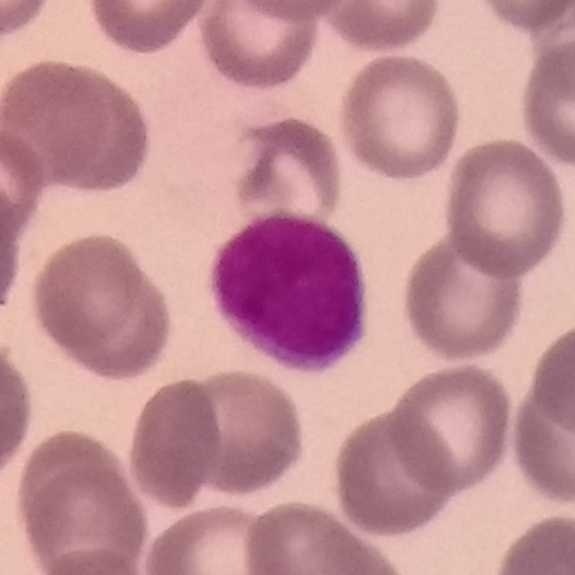
Specimen: peripheral blood film.
Classification: lymphocyte.